Peripheral blood smear:
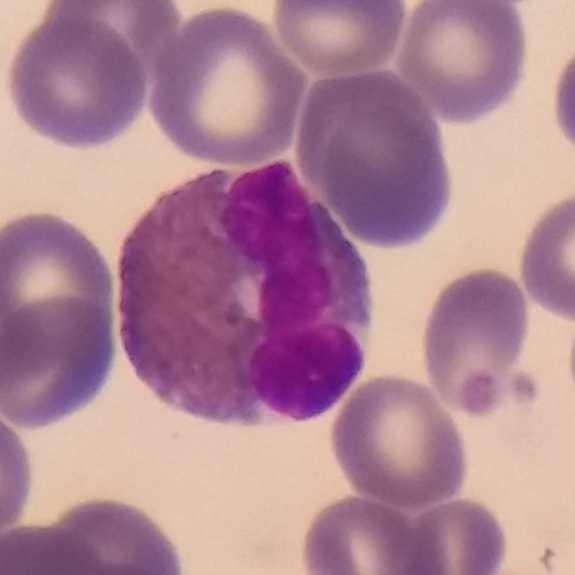 Specimen: peripheral blood smear.
Classification: eosinophil.